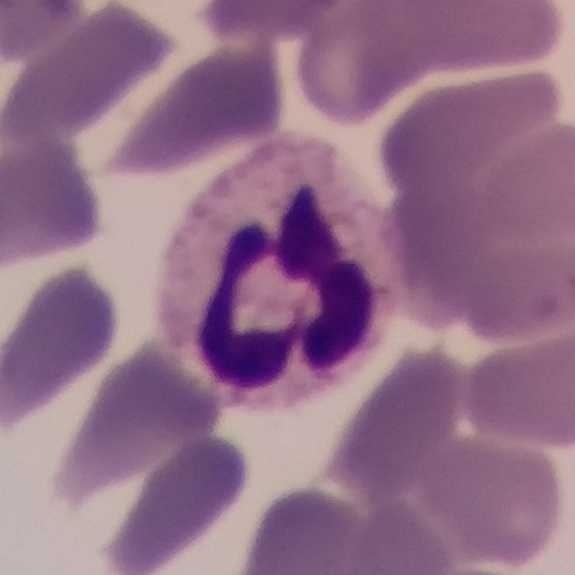Morphology — neutrophil granulocyte.

Single-cell crop. Peripheral blood smear.